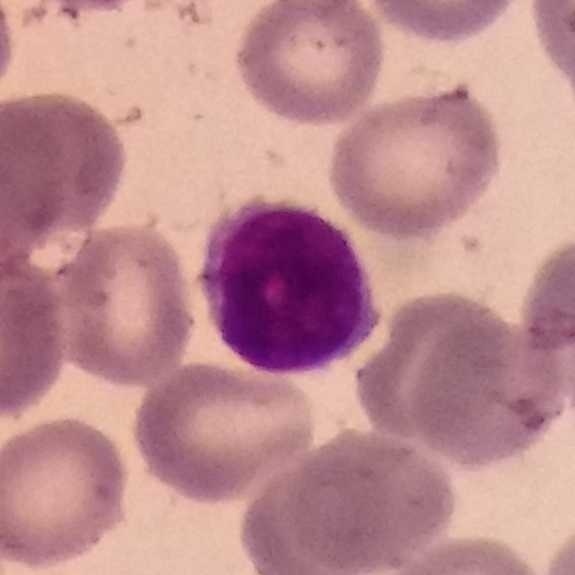Impression → lymphocyte.

Image: Peripheral blood smear.